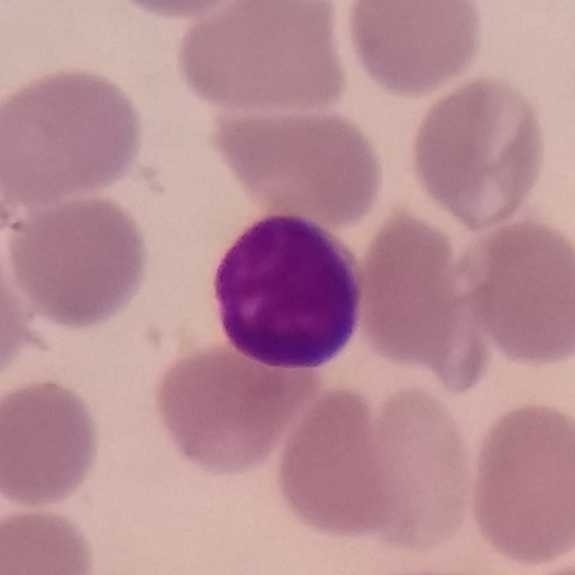 Acquisition: 575×575. Peripheral blood smear.

A lymphocyte.